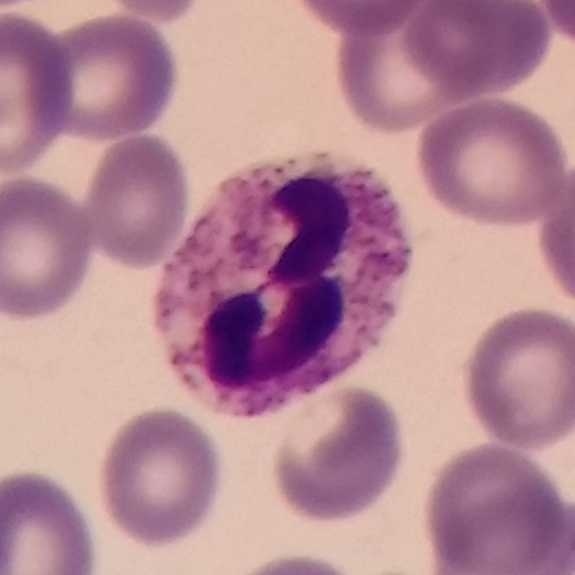
This is a neutrophilic granulocyte.

Preparation: Peripheral blood film.